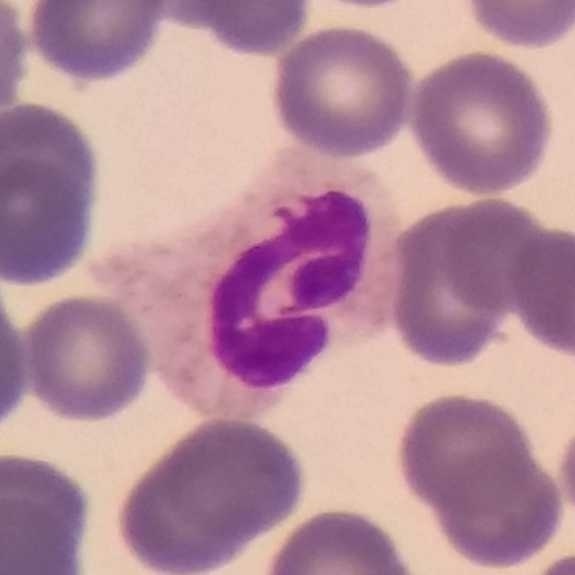

The cell shown is a neutrophil granulocyte.